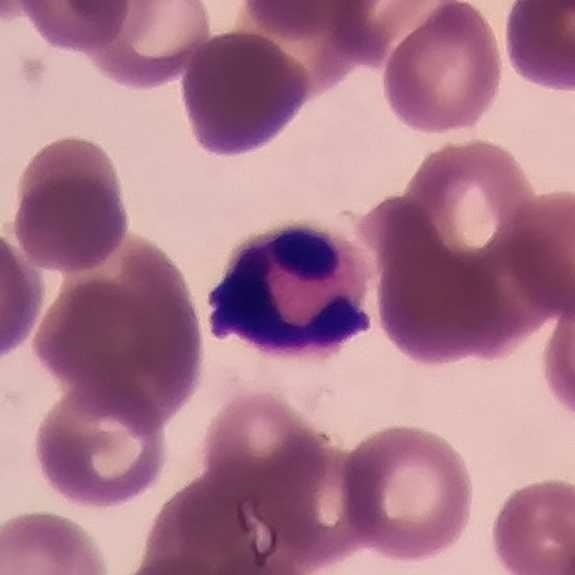 Impression → neutrophil granulocyte.
Acquisition: Phone-camera image taken through the microscope ocular. Single white blood cell cropped from the smear photograph. Peripheral blood smear.